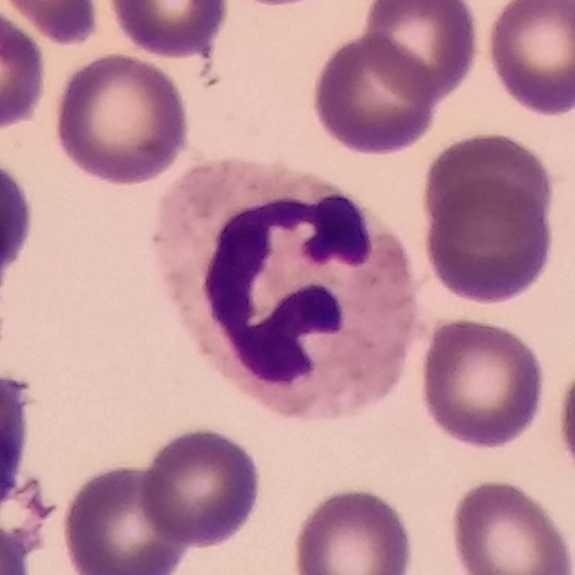 The cell is neutrophil.
Preparation: Peripheral blood film; smartphone camera mounted on the microscope eyepiece.